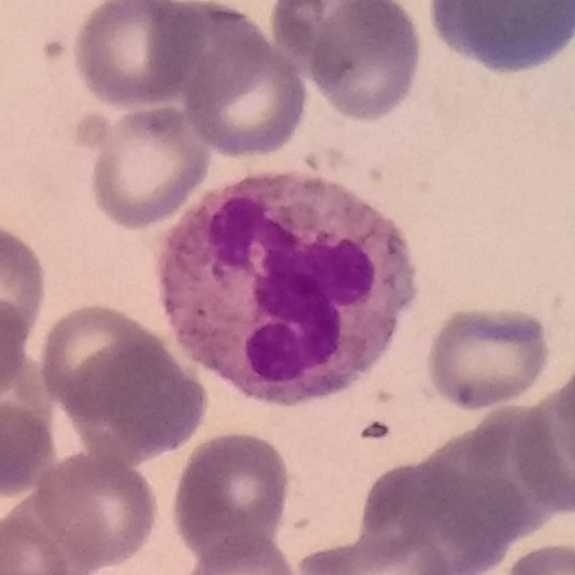 Image: Peripheral blood smear.

Morphology consistent with a neutrophilic granulocyte.